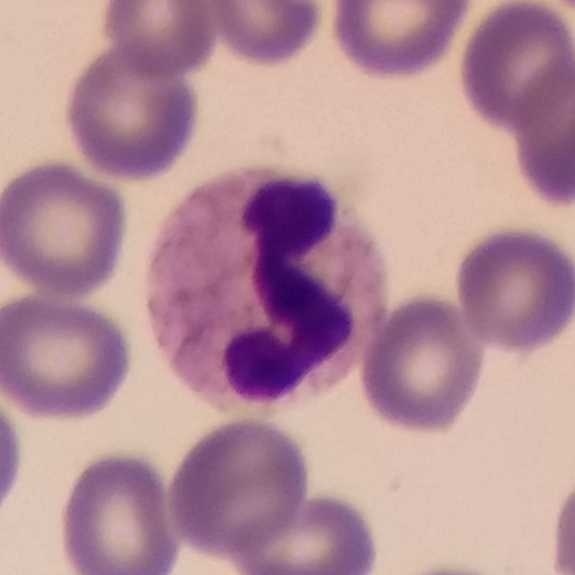

Context: Peripheral blood smear.
The white blood cell type is neutrophil granulocyte.